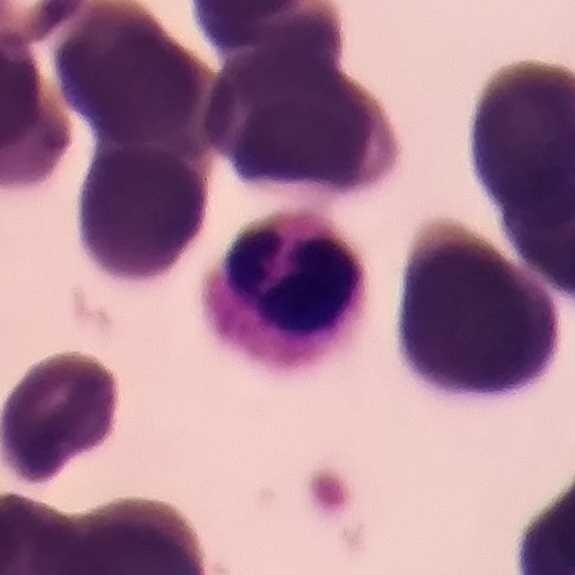 Morphological class = neutrophilic granulocyte.